Peripheral blood film · cropped to one leukocyte · magnification 100×
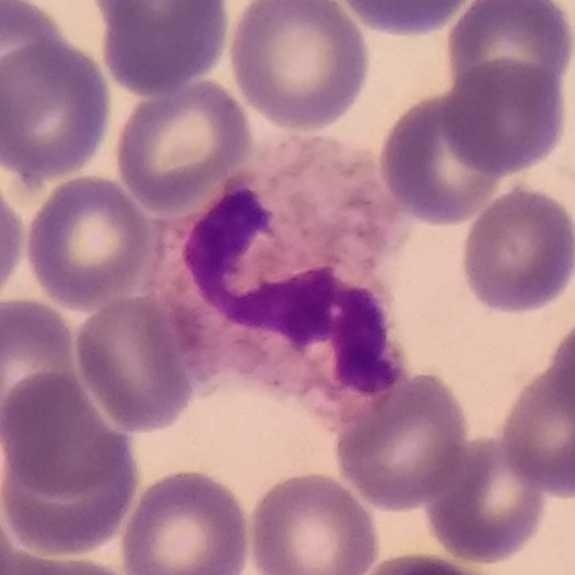
{"cell_type": "neutrophil", "lineage": "myeloid"}